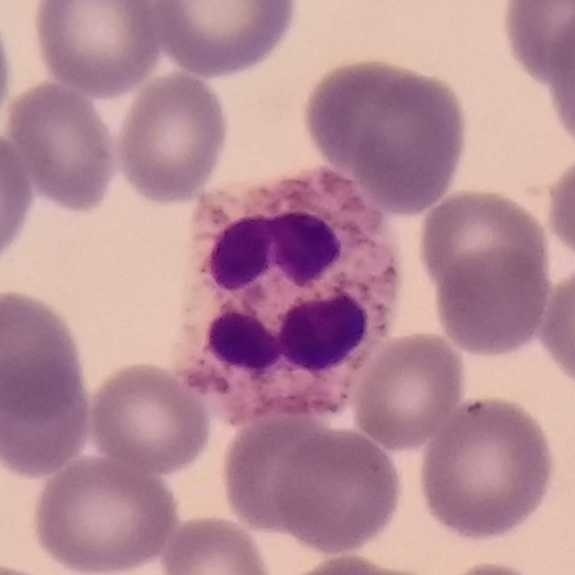

Cell — neutrophil granulocyte.